Peripheral blood film: 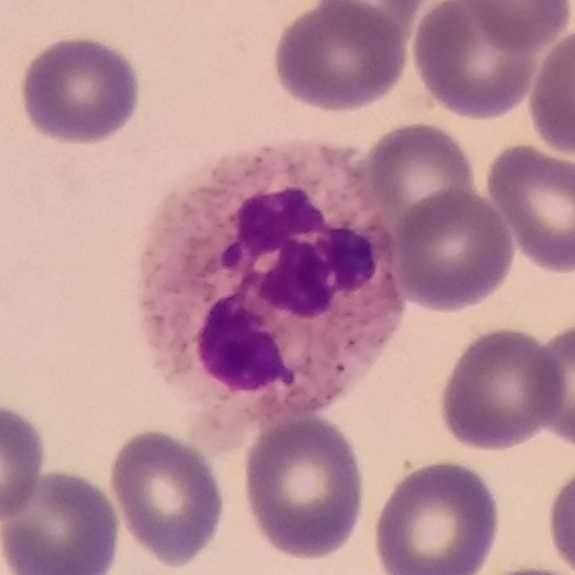
Cell: neutrophilic granulocyte.